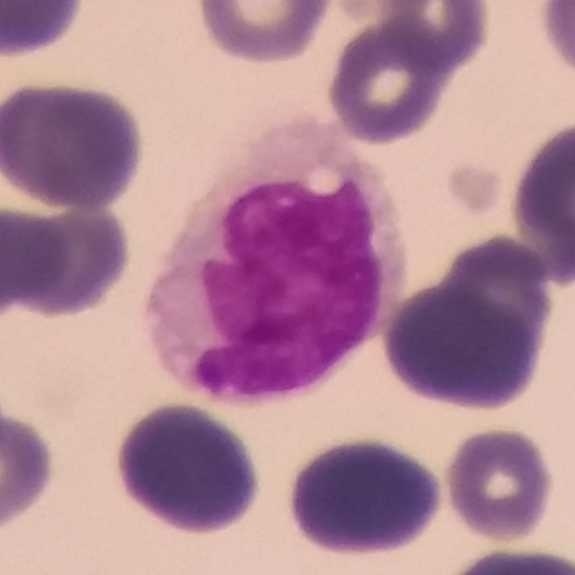
The classification is monocyte.
Peripheral blood smear.